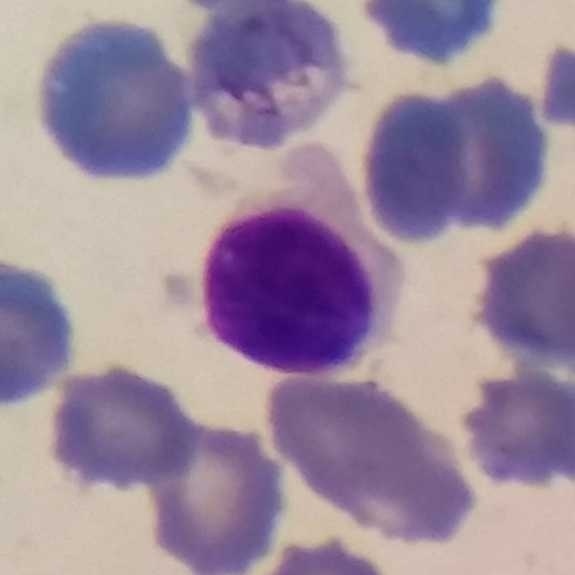 Single-cell crop from a peripheral blood smear: lymphocyte.